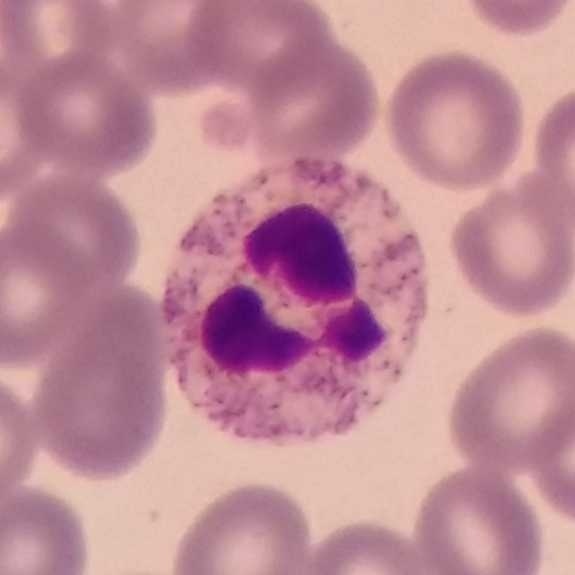
Specimen: peripheral blood smear.
White blood cell type: neutrophil granulocyte.
Lineage: myeloid.

Acquisition: Single white blood cell cropped from the smear photograph.